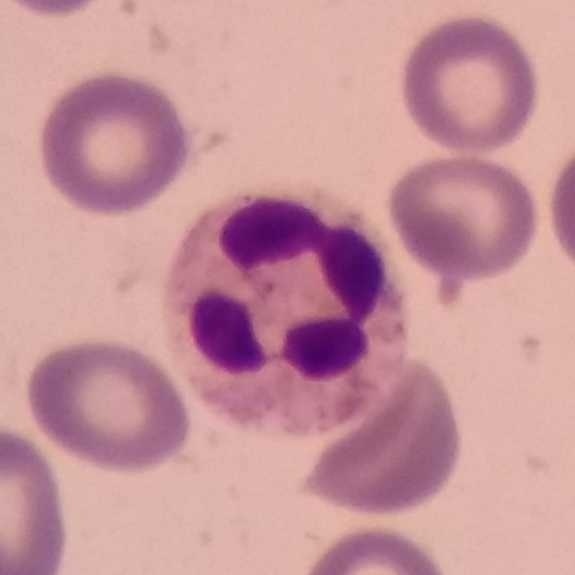 Q: What is the morphological classification of this cell?
A: A neutrophil. Preparation: Magnification 100×; peripheral blood smear.